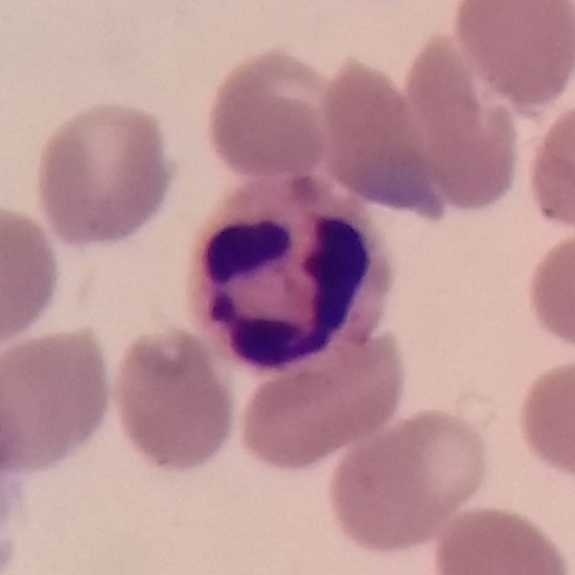 Acquisition: Peripheral blood film. Morphology — neutrophil granulocyte.